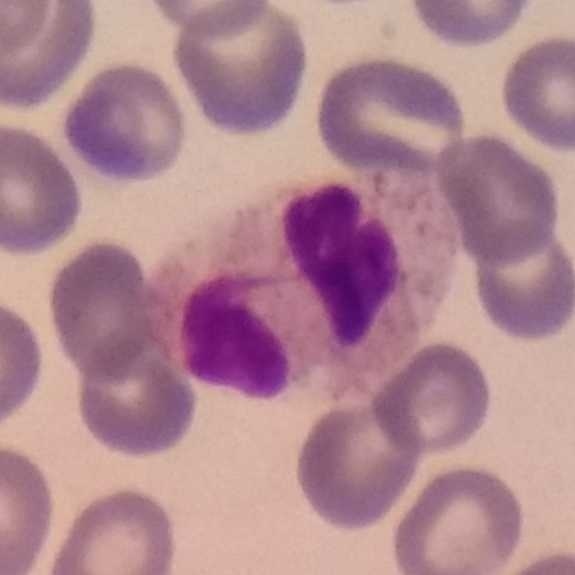Specimen: peripheral blood smear.
White blood cell type: neutrophil.